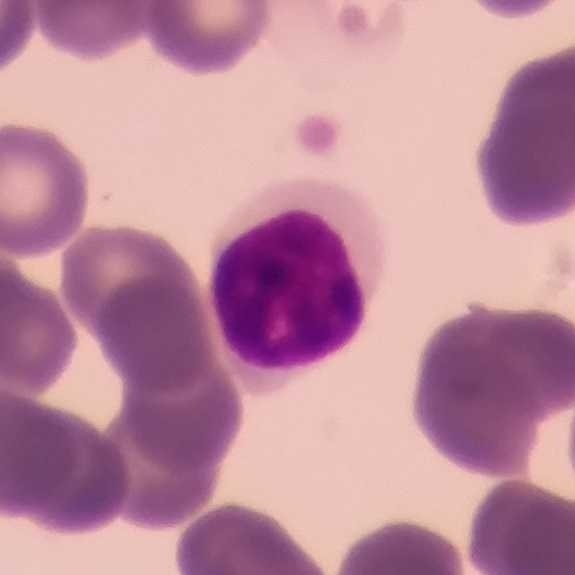Peripheral blood smear. Stained with Giemsa.

Morphology consistent with a lymphocyte.